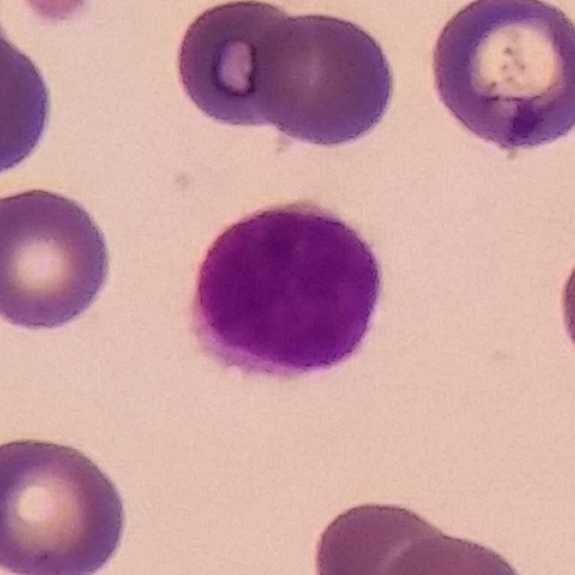
{"cell_type": "lymphocyte", "lineage": "lymphoid"}
Peripheral blood smear; smartphone photomicrograph.